Peripheral blood film: 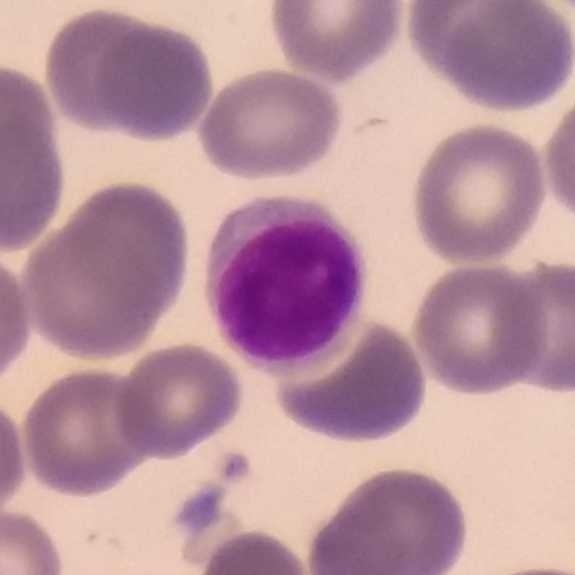

Q: What type of cell is this?
A: Lymphocyte.